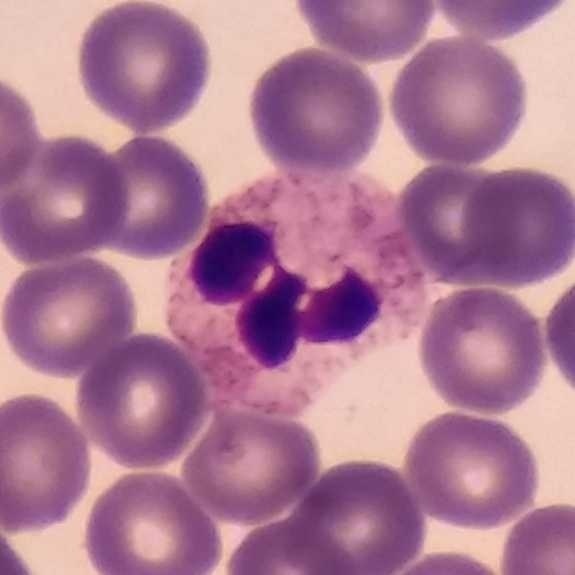 Preparation: Peripheral blood film. Q: Which type of white blood cell is this?
A: Neutrophil.